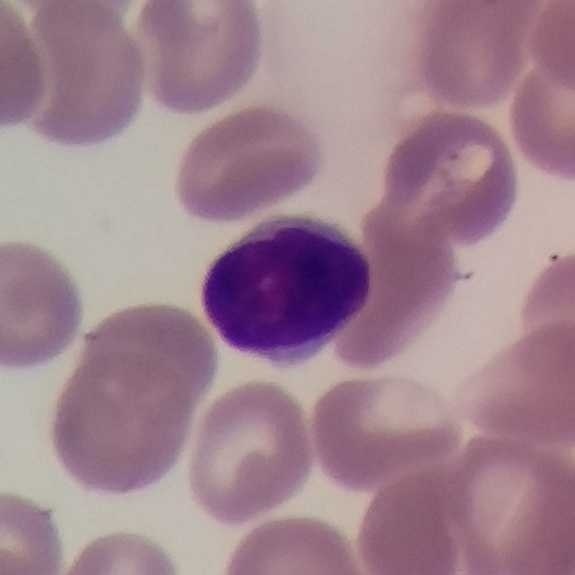
Showing a lymphocyte.